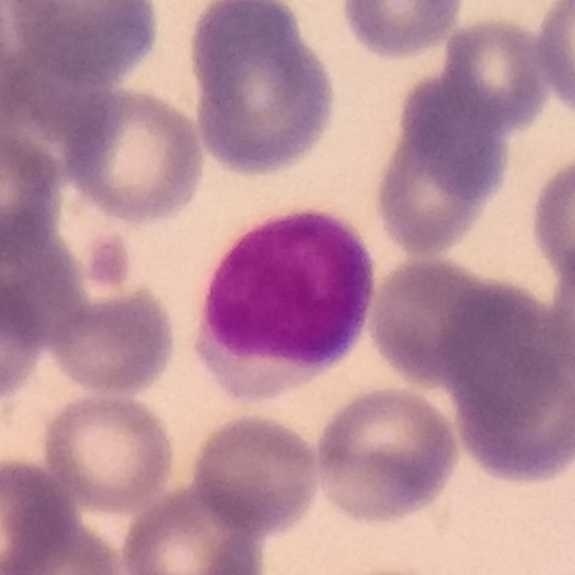
Preparation: Giemsa stain. Phone-camera image taken through the microscope ocular. Peripheral blood film. Q: What is the morphological classification of this cell?
A: Lymphocyte.